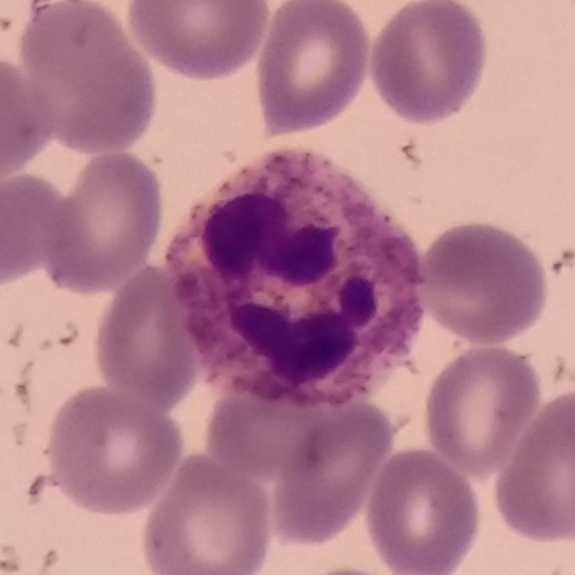

Single cell identified as a neutrophil. Preparation: Peripheral blood smear.